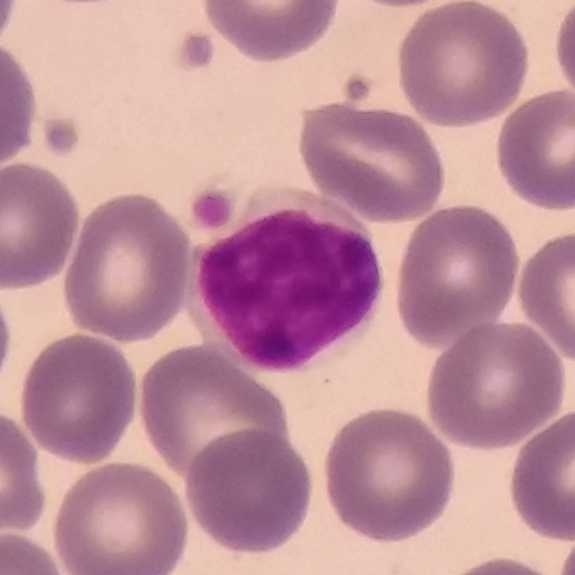

Morphology — lymphocyte.
Image: Smartphone camera mounted on the microscope eyepiece. Peripheral blood smear. 100× magnification.